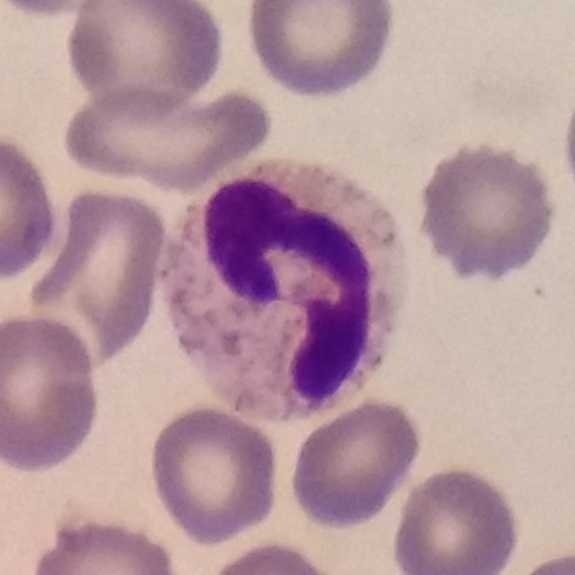
Single cell identified as a neutrophilic granulocyte.